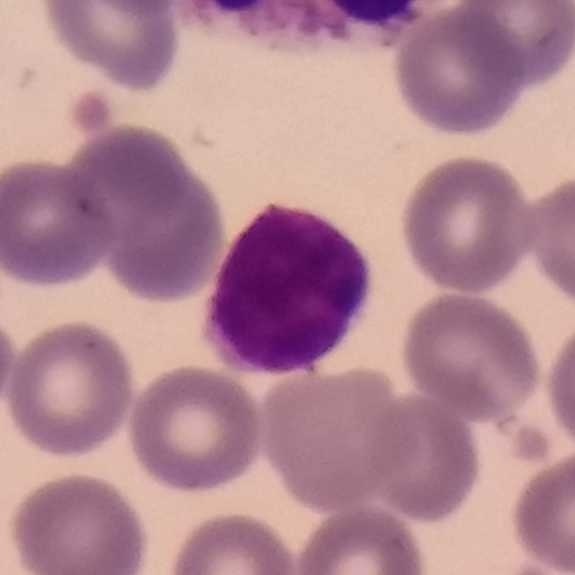

Peripheral blood film.
Showing a lymphocyte.